Peripheral blood smear · 100× magnification — 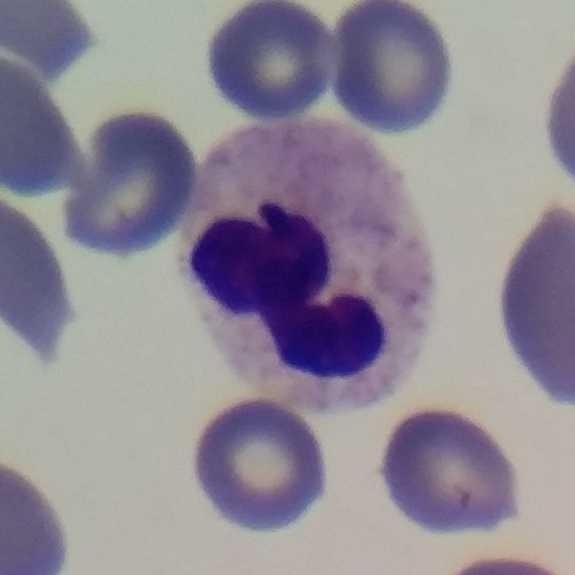Identified as a neutrophilic granulocyte.